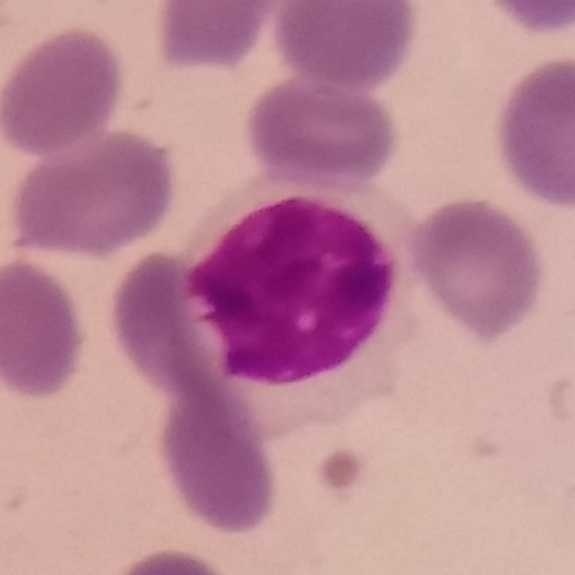
Morphology → lymphocyte.